Stained with Giemsa · single-cell crop · peripheral blood film — 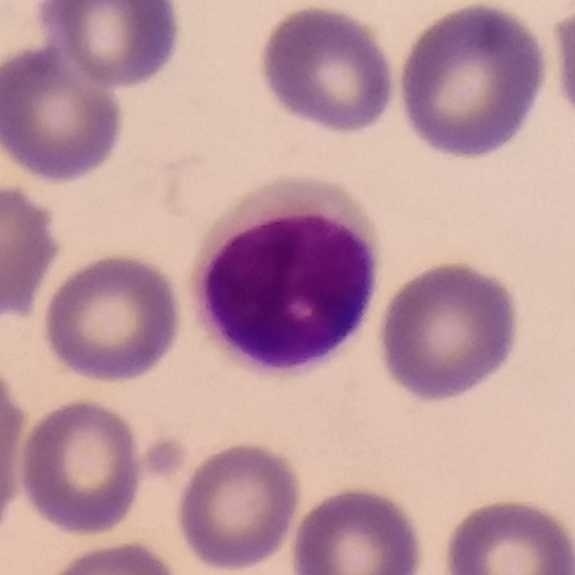

Showing a lymphocyte.